100× magnification; peripheral blood smear — 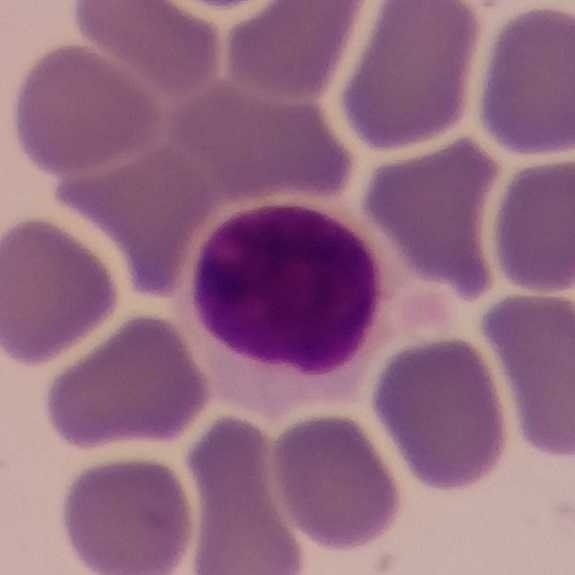 Q: What is shown here?
A: This is a lymphocyte.